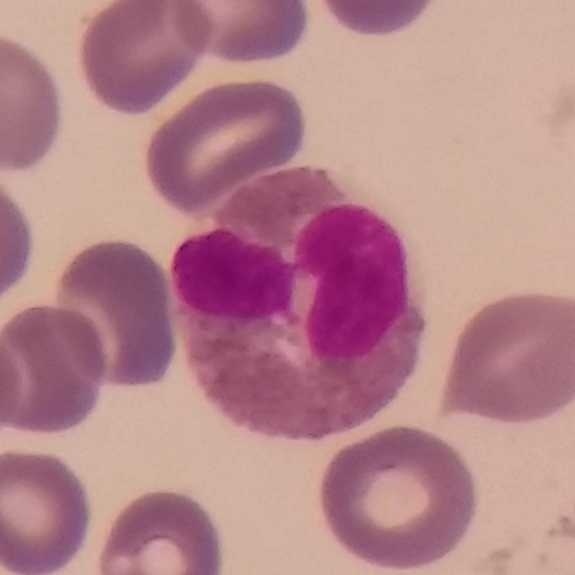

Cell = eosinophil.